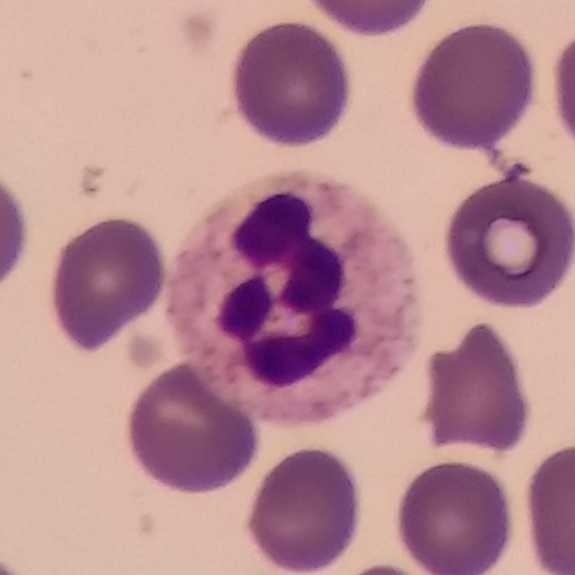Acquisition: Peripheral blood smear.

Q: What cell is this?
A: It is a neutrophil.